Peripheral blood film · magnification 100×:
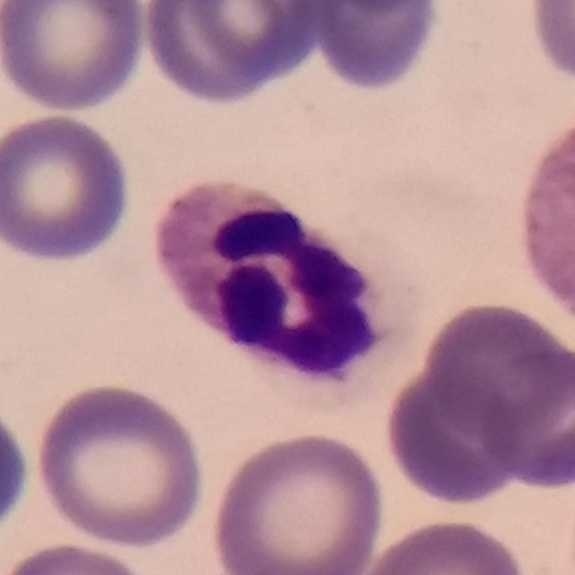
Showing a neutrophil granulocyte.